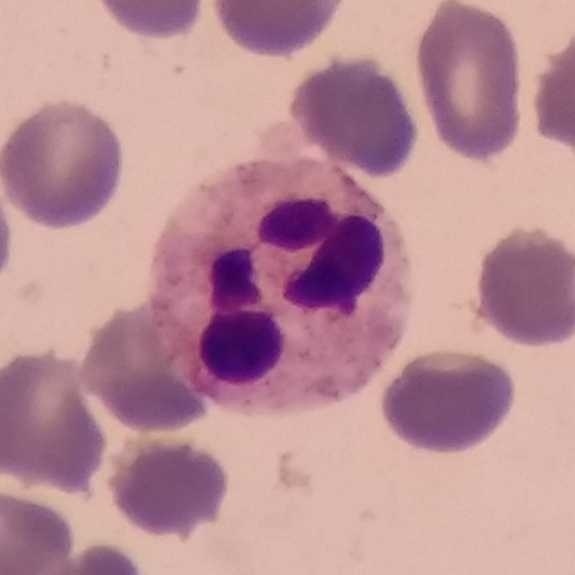

The cell shown is a neutrophil granulocyte.
Peripheral blood smear. 100× magnification. 575×575.